Peripheral blood film
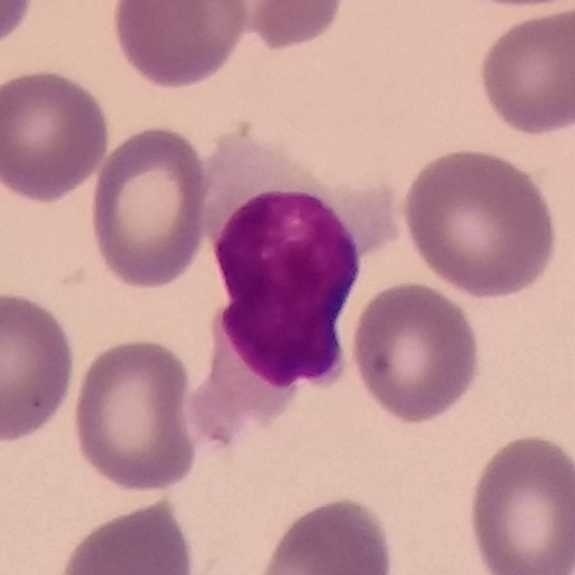Morphology consistent with a lymphocyte.